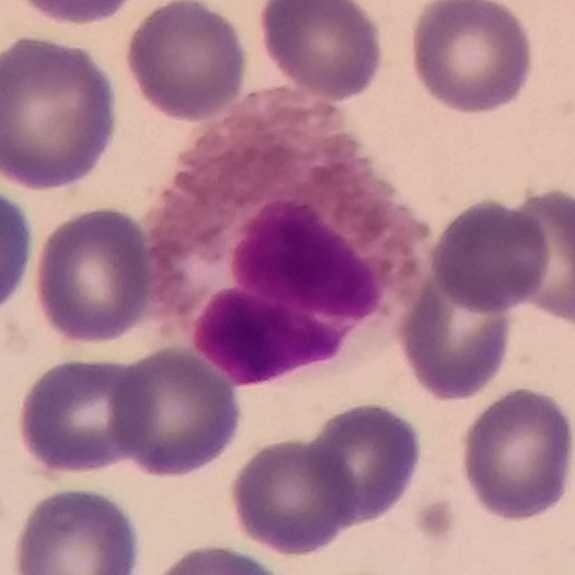

Cell: eosinophil. Context: Photographed through a light microscope with a smartphone camera; stained with Giemsa; peripheral blood film.